Peripheral blood film; single-cell field — 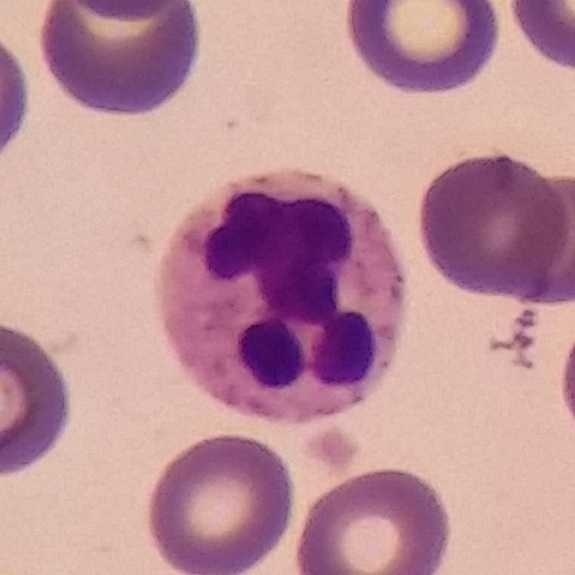The cell type is neutrophil.